Peripheral blood smear.
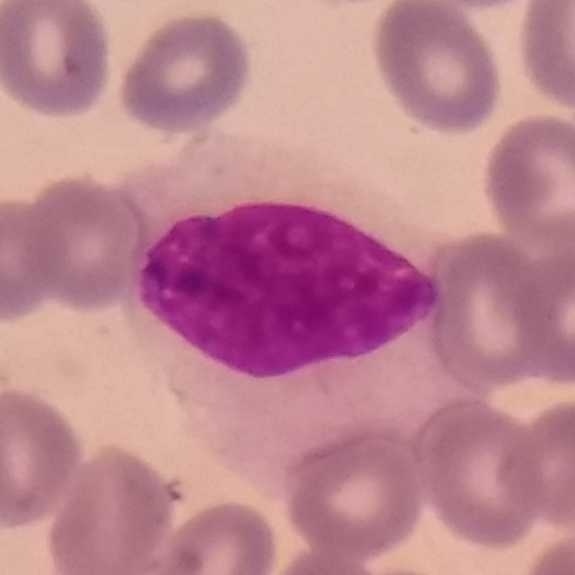

Q: What cell is this?
A: It is a monocyte.